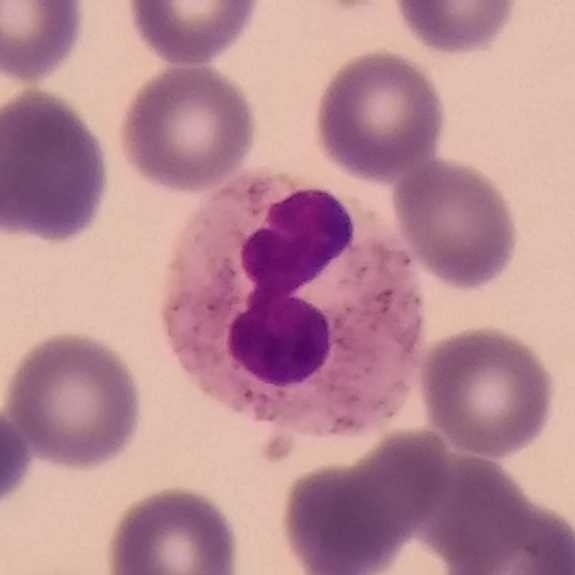 Q: What is shown here?
A: It is a neutrophil.